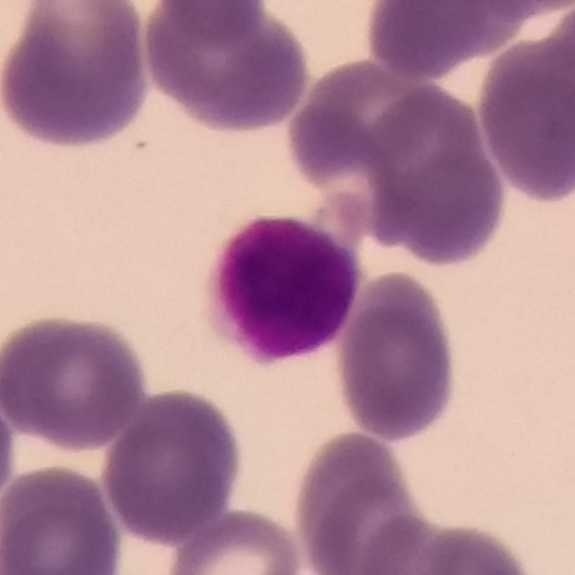Context: Giemsa-stained · peripheral blood film · cropped to one leukocyte.

The white blood cell in this image is a lymphocyte.